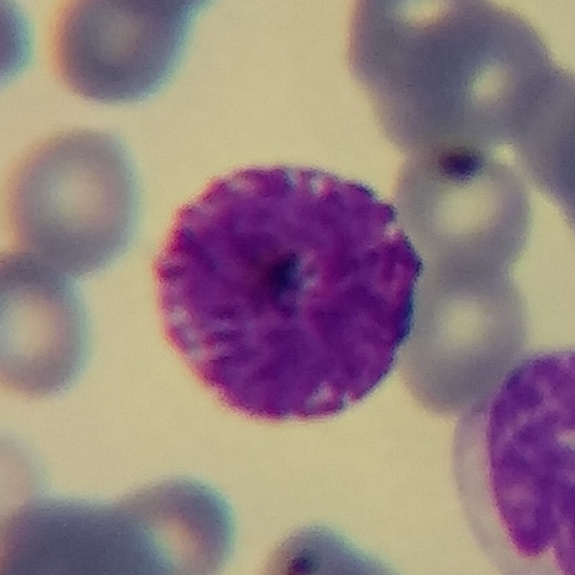

This is a basophilic granulocyte.